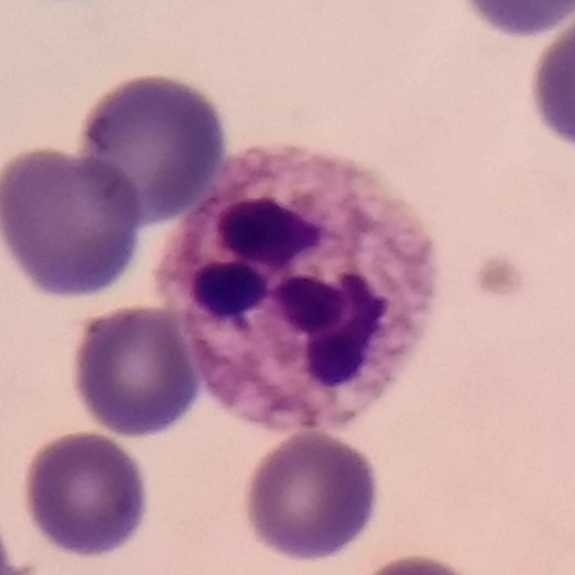

The morphological class is neutrophilic granulocyte.
Peripheral blood film; photographed through a light microscope with a smartphone camera; single white blood cell cropped from the smear photograph.